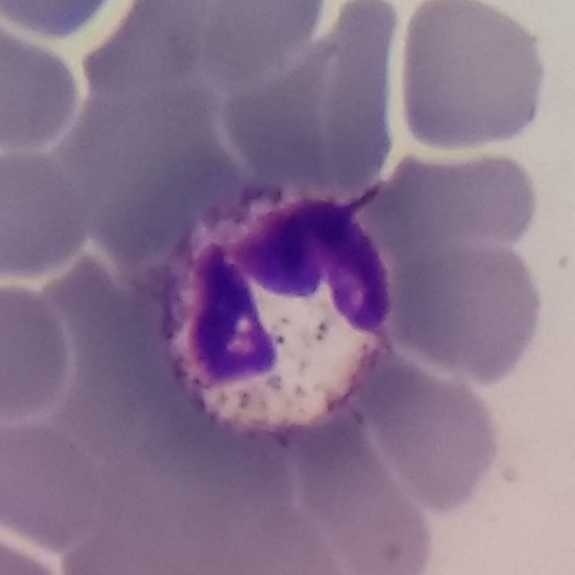Specimen: peripheral blood smear.
Classification: neutrophil granulocyte.